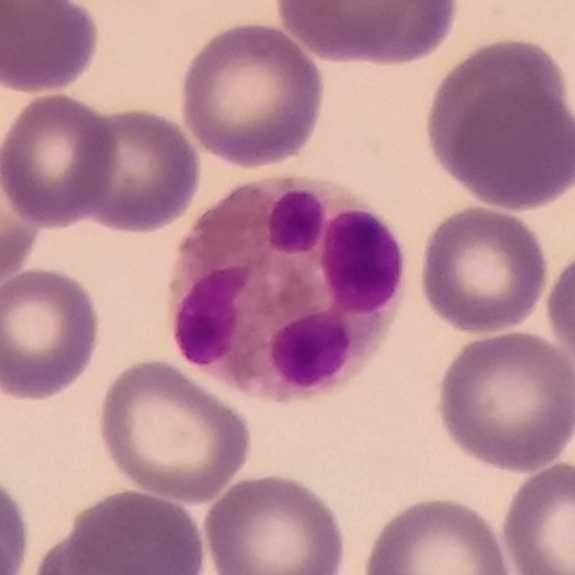 Peripheral blood film. This is an eosinophil.